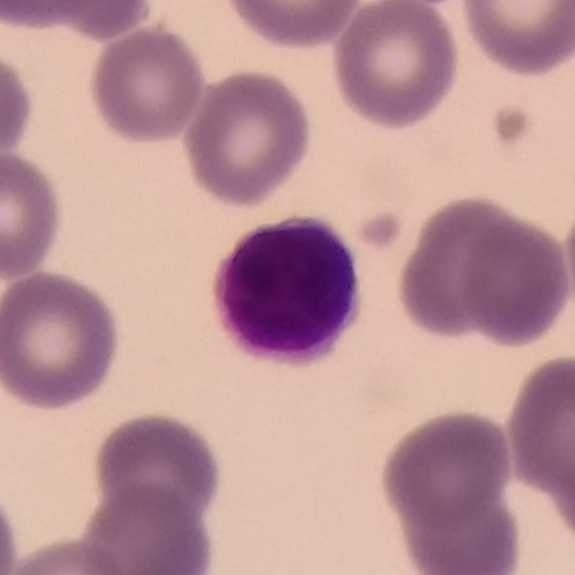Cell type = lymphocyte.
Image: Peripheral blood film; image size 575×575; single-cell field.